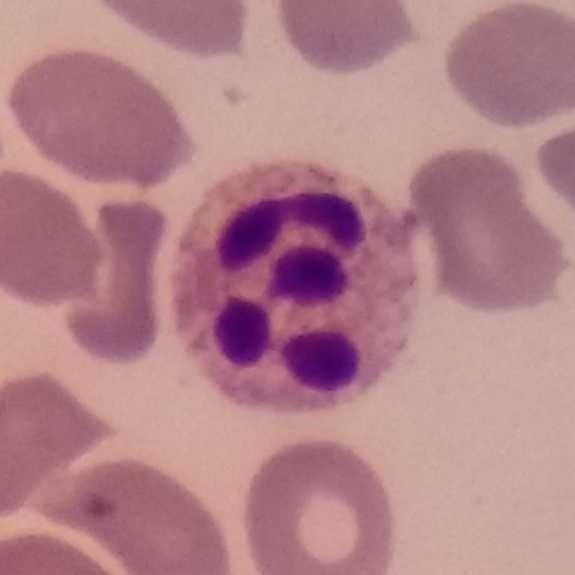 Image: Peripheral blood film. Q: What is this?
A: This is a neutrophil.